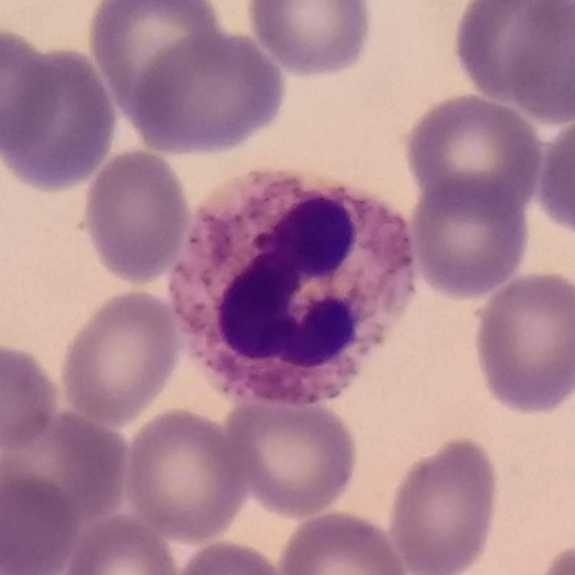 A neutrophil granulocyte.

Acquisition: Peripheral blood smear.